Peripheral blood film:
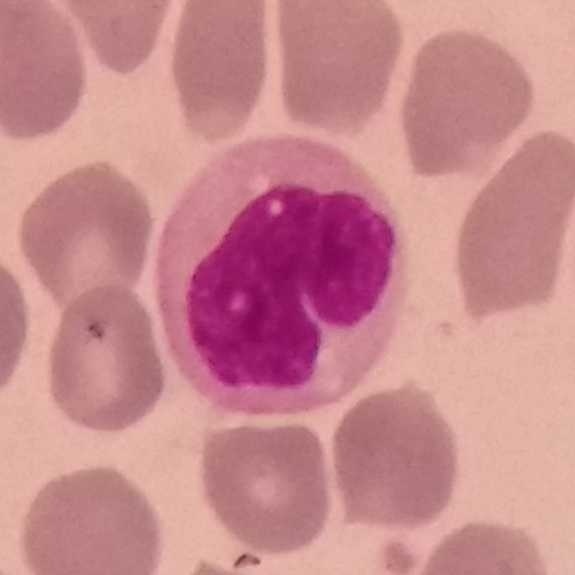Single cell identified as a monocyte.